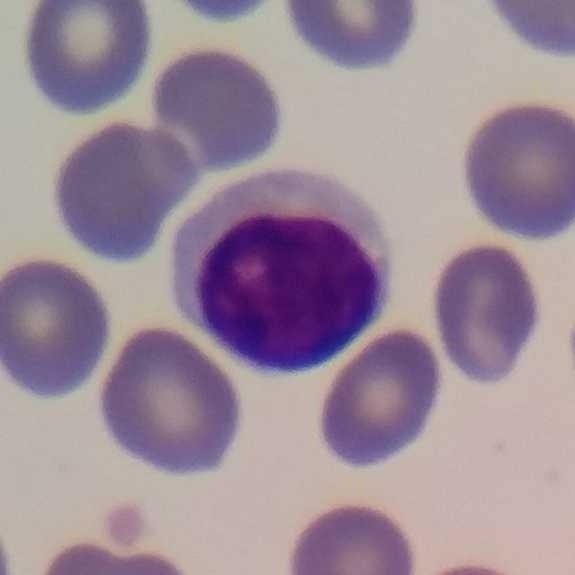
Q: What type of cell is this?
A: This is a lymphocyte.